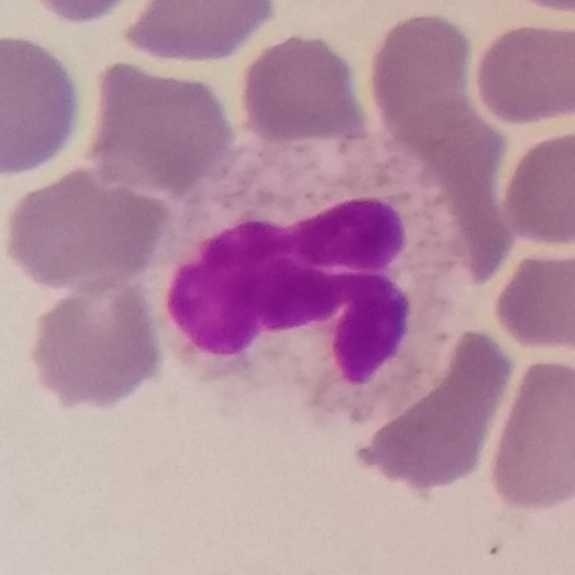White blood cell type — neutrophilic granulocyte. Preparation: Peripheral blood smear · stained with Giemsa.